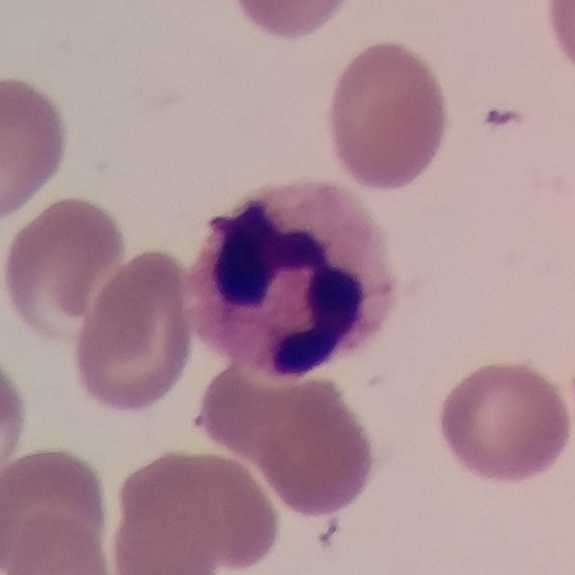
Q: What is the morphological classification of this cell?
A: Neutrophilic granulocyte.
Preparation: Peripheral blood film.